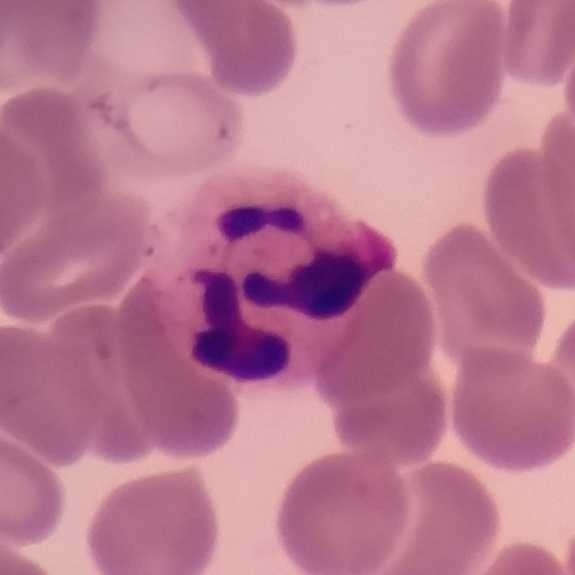 From a peripheral blood smear: a neutrophil.